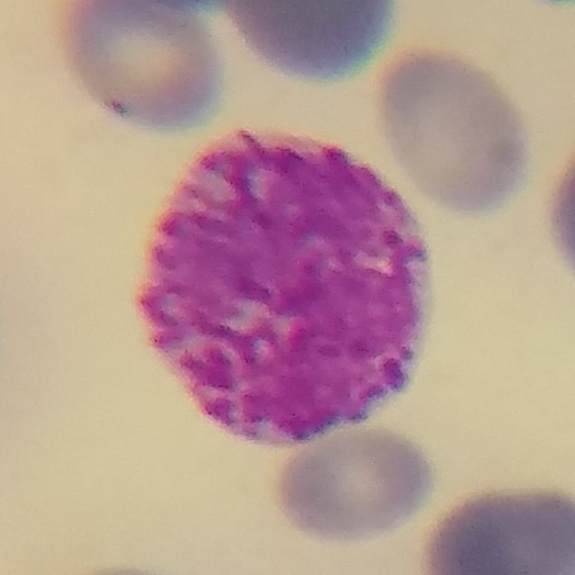 This is a basophil.